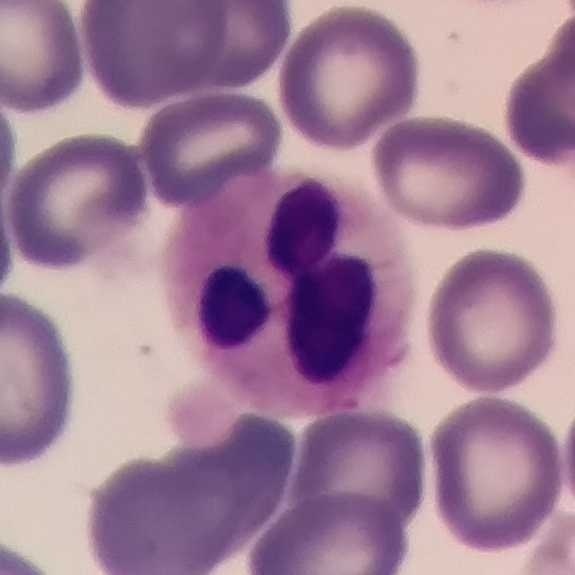Morphological class — neutrophil.